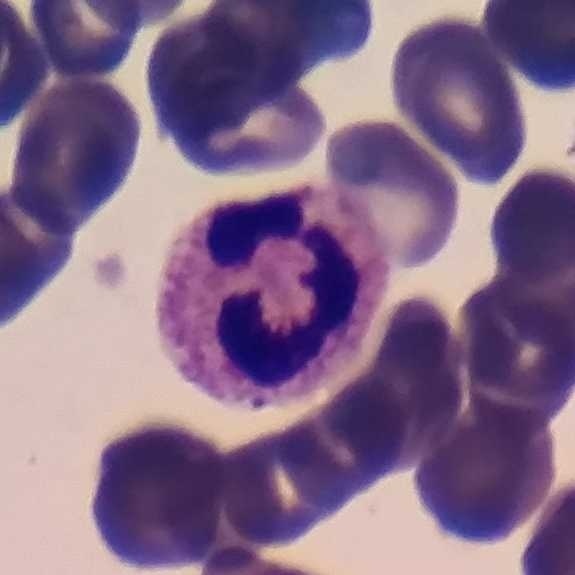 The cell is neutrophil.

Acquisition: Peripheral blood film · phone-camera image taken through the microscope ocular · 100× magnification.